Peripheral blood film.
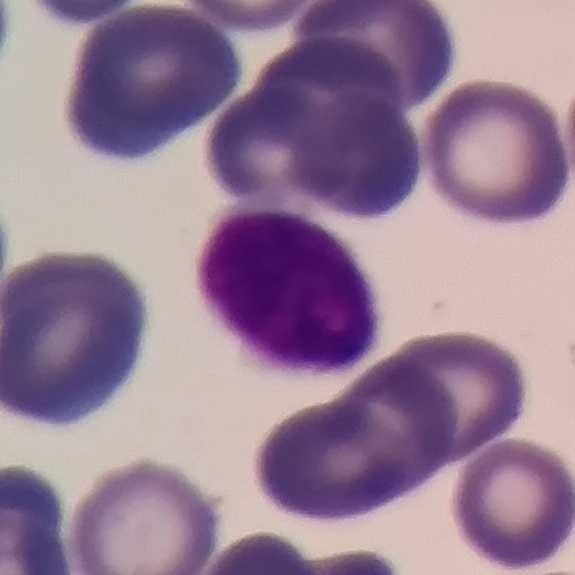 Impression — lymphocyte.